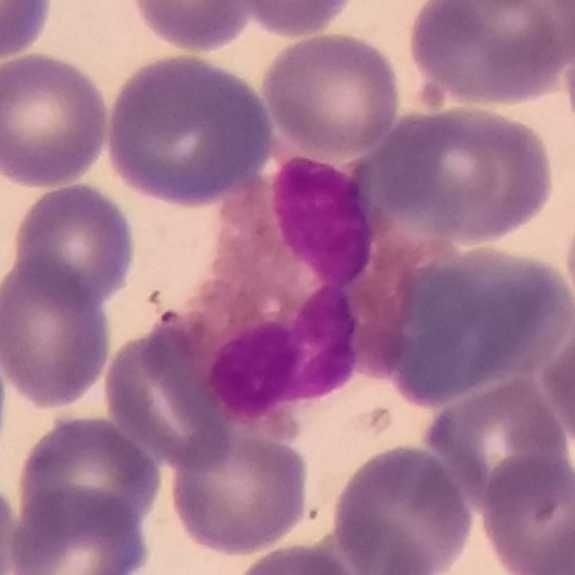

White blood cell type = eosinophil.

Acquisition: Peripheral blood smear.